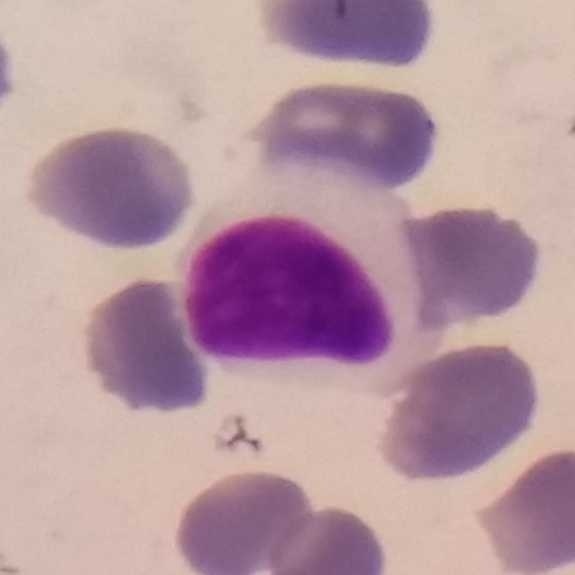 Specimen: peripheral blood smear.
White blood cell type: lymphocyte.
Lineage: lymphoid.